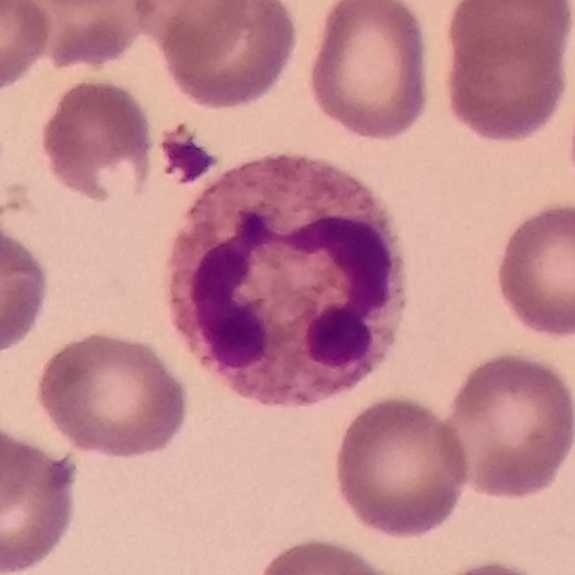Cell — neutrophil granulocyte.
Peripheral blood smear.